Peripheral blood film; stained with Giemsa; smartphone photomicrograph
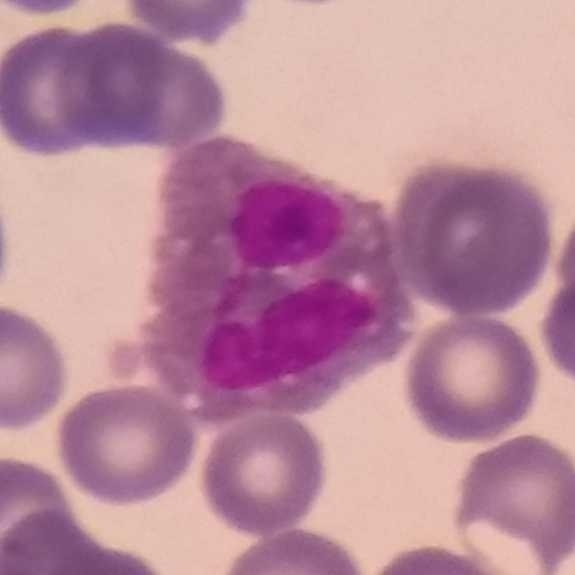 Q: Which cell type is shown here?
A: It is an eosinophil.